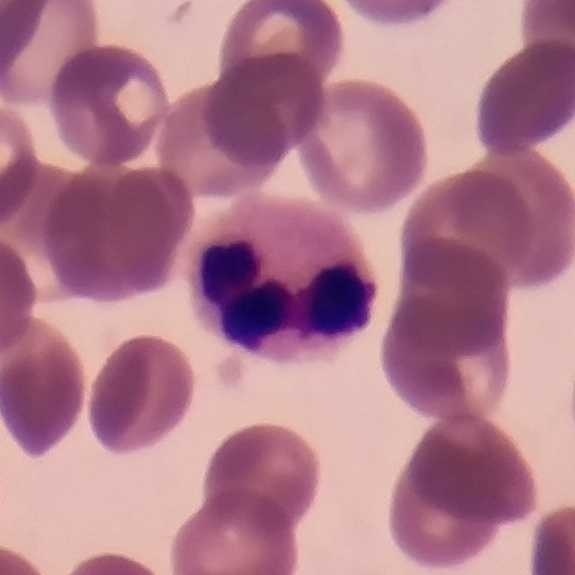Morphology consistent with a neutrophil granulocyte.
Peripheral blood smear.